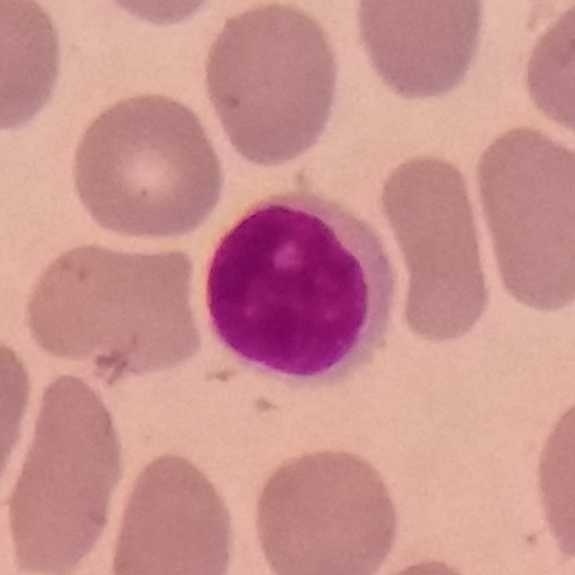

Peripheral blood smear showing a lymphocyte.